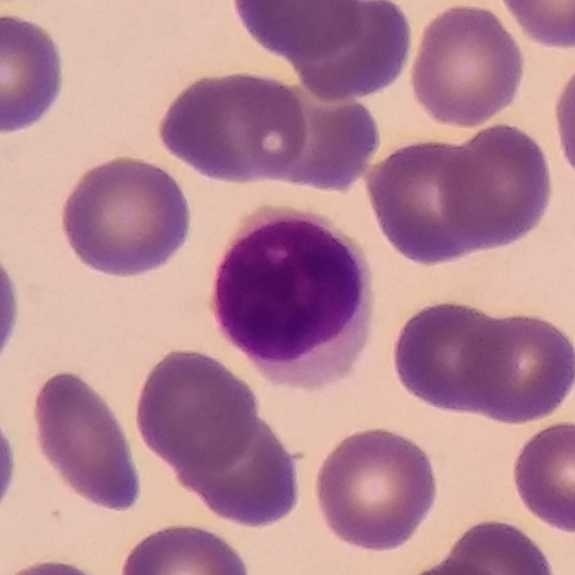White blood cell type — lymphocyte.

Context: Peripheral blood smear.